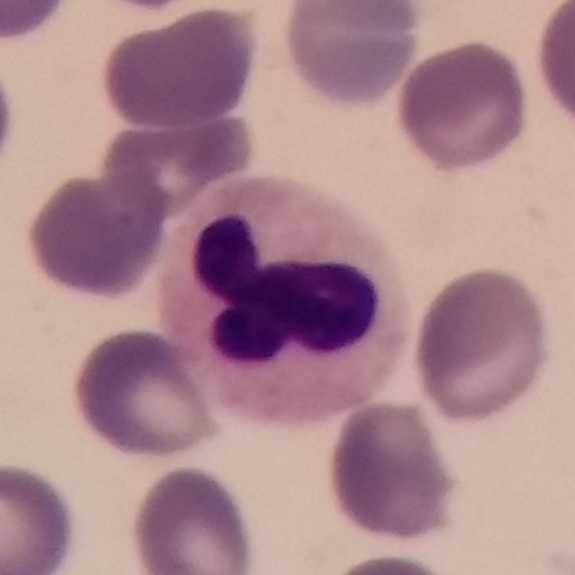

Cell type — neutrophil.

Image: Peripheral blood smear.